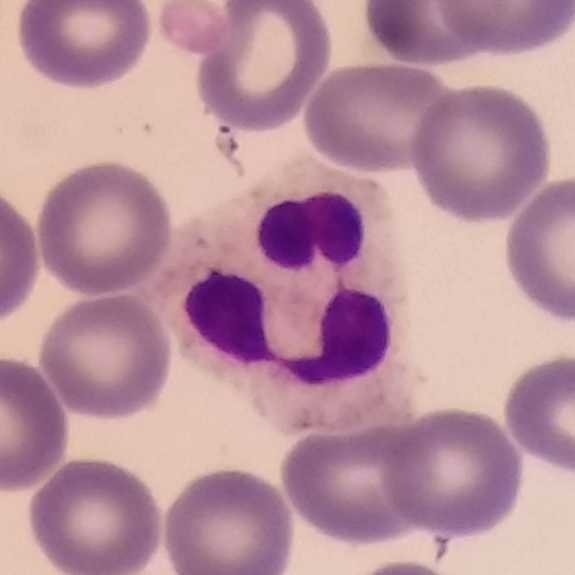 The classification is neutrophil.

Preparation: Phone-camera image taken through the microscope ocular. Single white blood cell cropped from the smear photograph. Peripheral blood film.